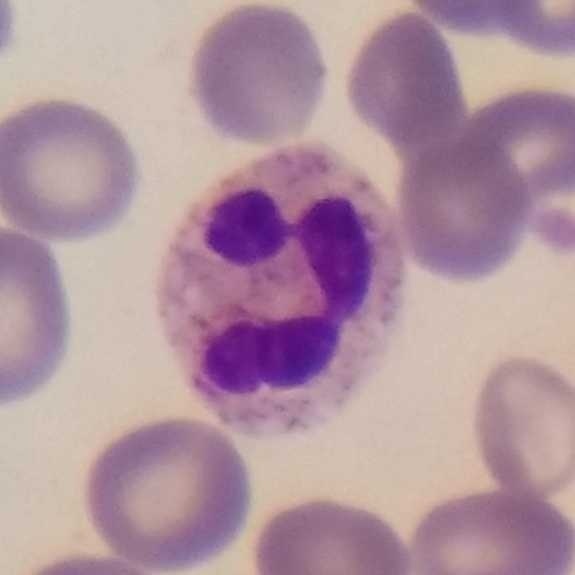 Q: Classify this leukocyte.
A: It is a neutrophil.
Preparation: Peripheral blood film.